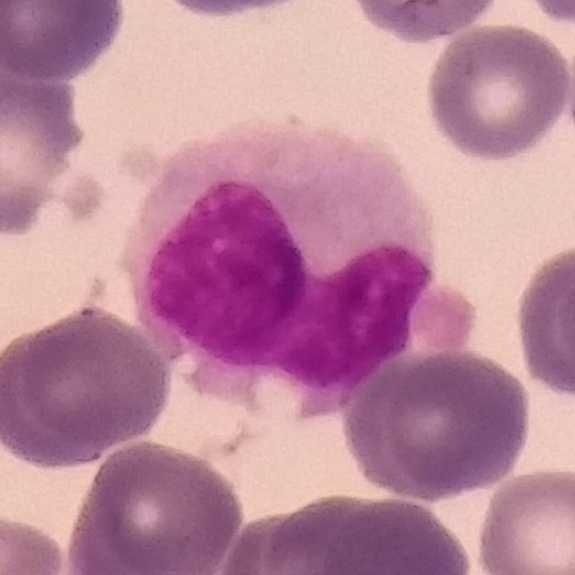Q: Identify the cell.
A: Monocyte.

Preparation: Peripheral blood smear.